Peripheral blood film.
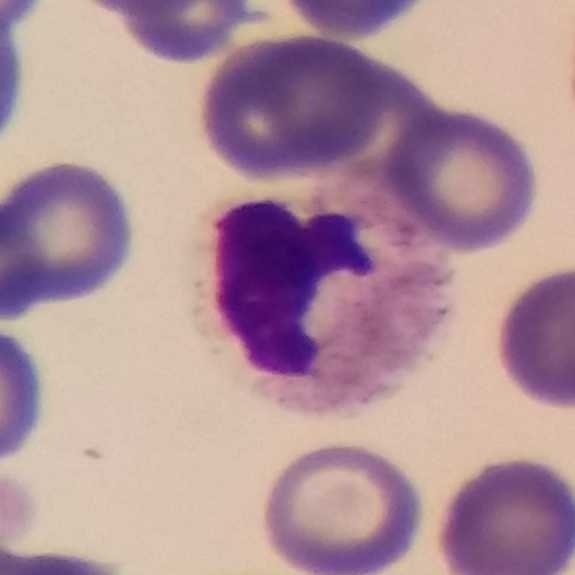 Impression — neutrophilic granulocyte.